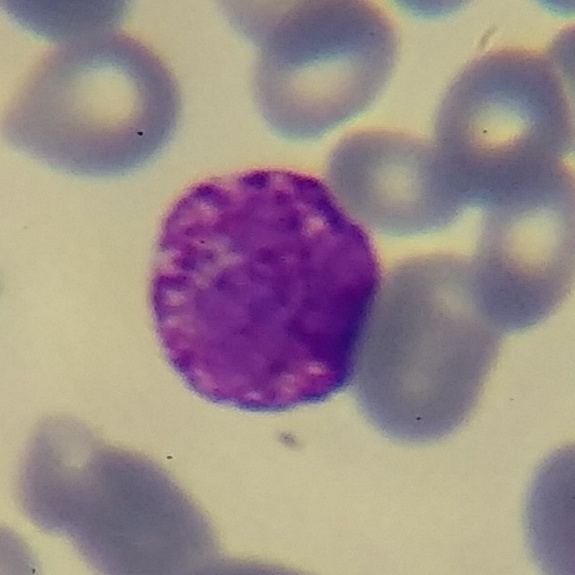
Specimen: peripheral blood film.
Classification: basophil.
Lineage: myeloid. Image: Smartphone camera mounted on the microscope eyepiece.